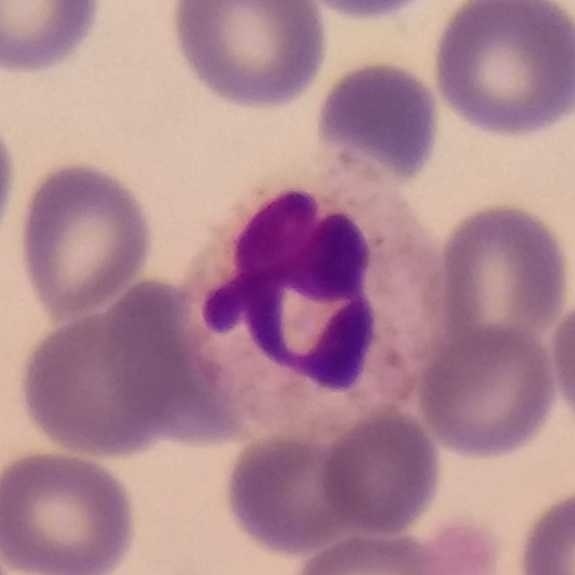

Specimen: peripheral blood smear.
Cell: neutrophilic granulocyte.
Lineage: myeloid.